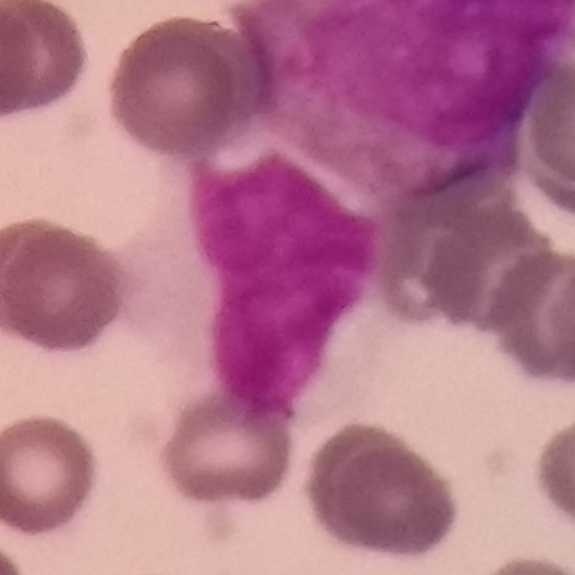
Impression — lymphocyte.

Peripheral blood smear.